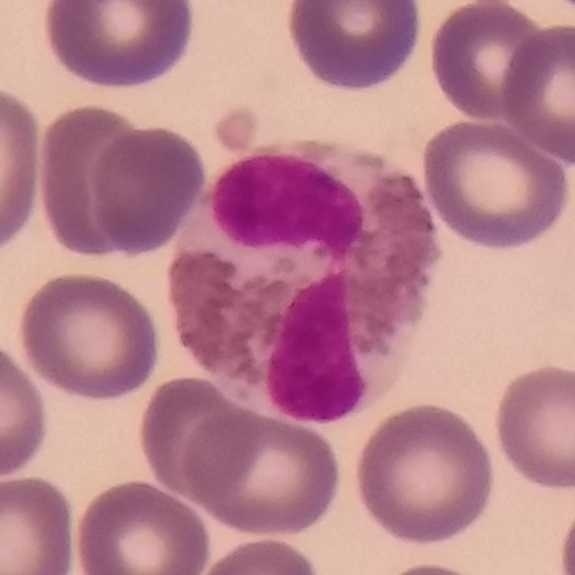White blood cell type = eosinophilic granulocyte.
Stained with Giemsa; 575 by 575 pixels; peripheral blood film.